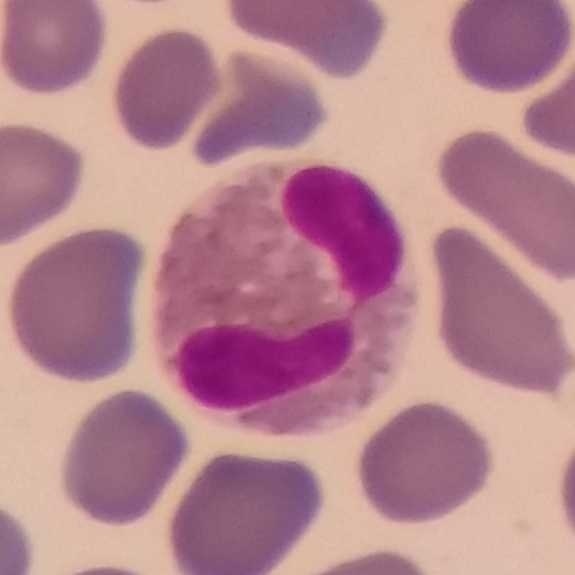 Morphology consistent with an eosinophilic granulocyte.